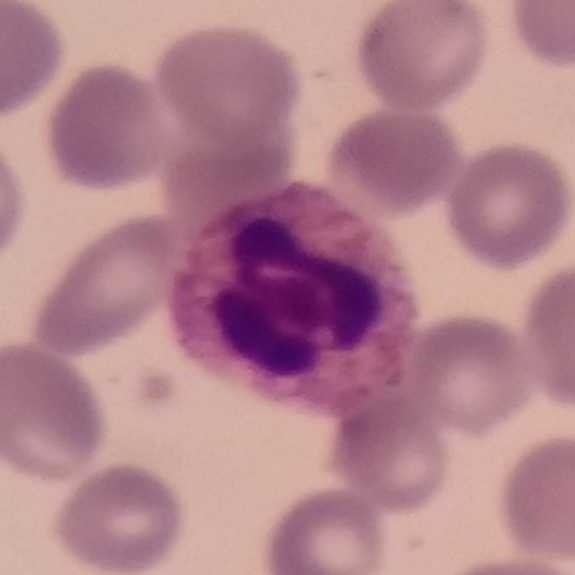
Morphological class = neutrophilic granulocyte. Acquisition: Peripheral blood film.